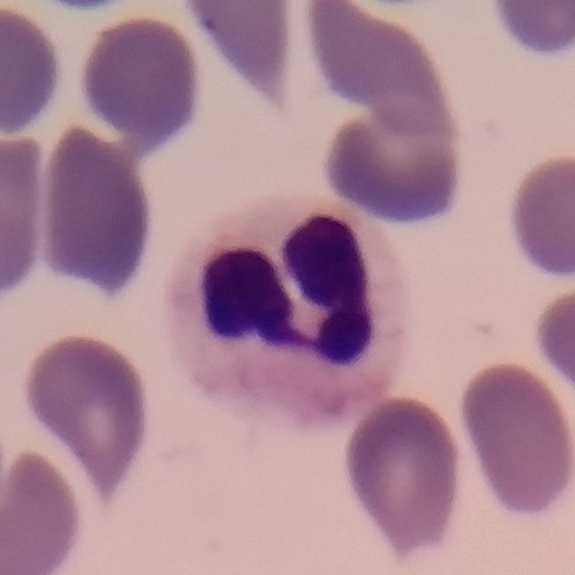

The white blood cell in this image is a neutrophil granulocyte.

Acquisition: Stained with Giemsa; peripheral blood film; smartphone photomicrograph.